Peripheral blood smear. Phone-camera image taken through the microscope ocular
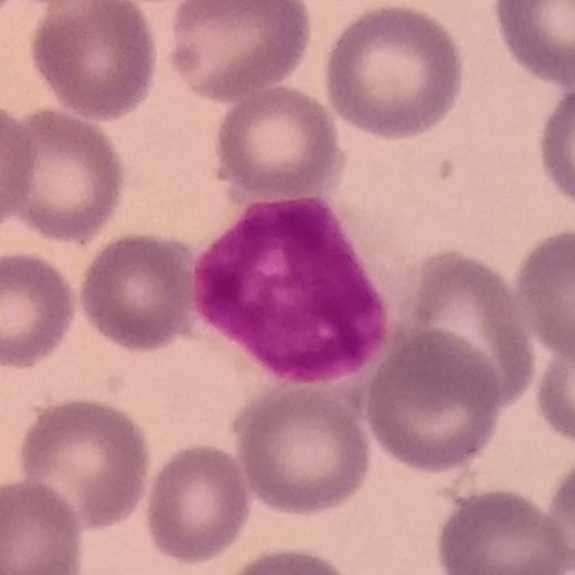
The classification is lymphocyte.